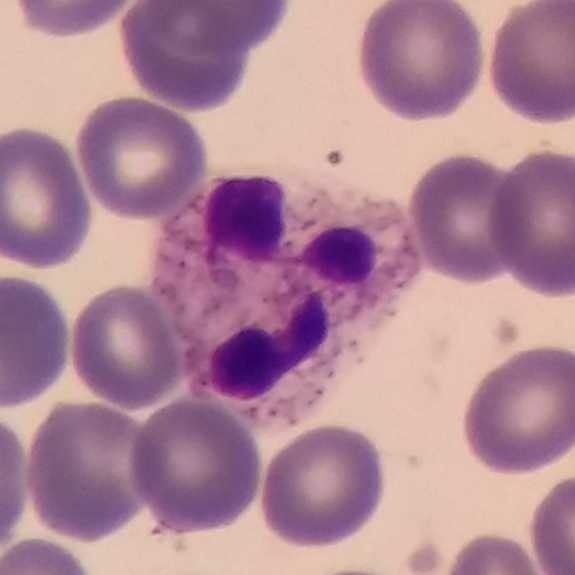
Impression → neutrophilic granulocyte.

Preparation: 575×575 px; peripheral blood smear; Giemsa stain.